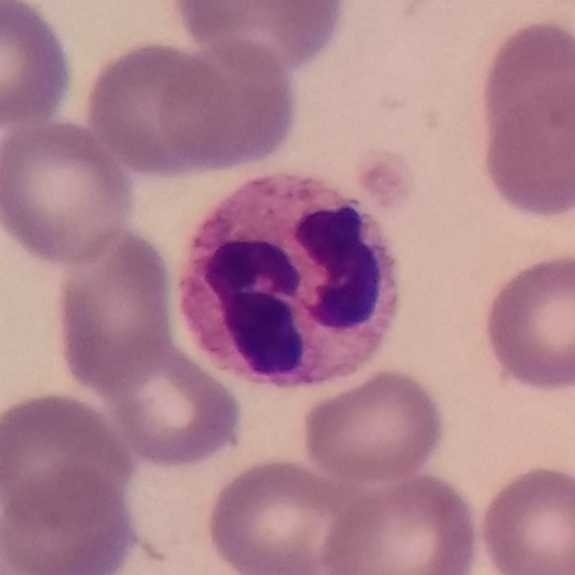Morphological class = neutrophil granulocyte.